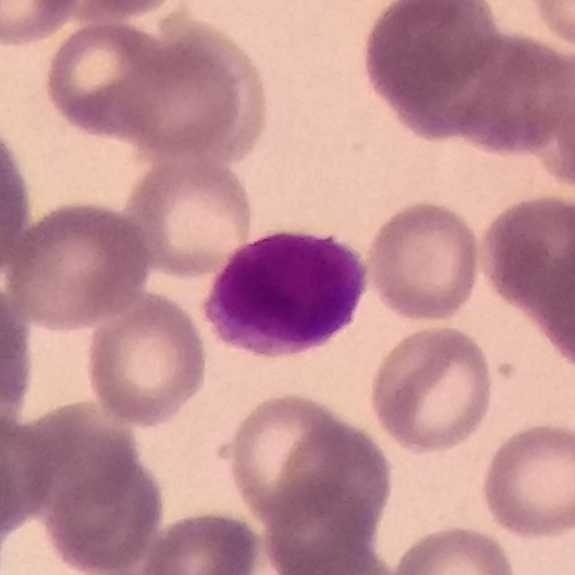White blood cell type: lymphocyte.
Image: Peripheral blood film; Giemsa-stained.